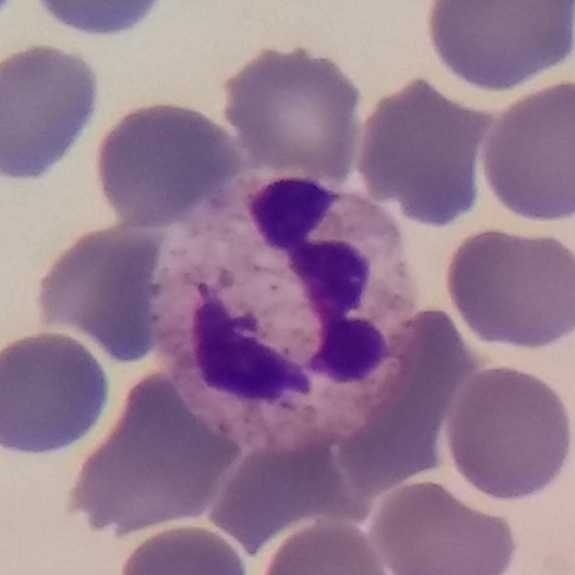Cell type = neutrophilic granulocyte.
Acquisition: Giemsa stain · peripheral blood film.